Peripheral blood film; Giemsa-stained; imaged at 100×
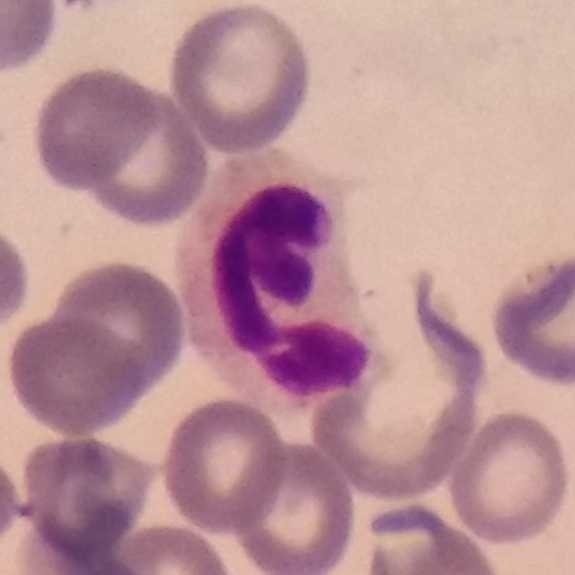

White blood cell type = neutrophilic granulocyte.